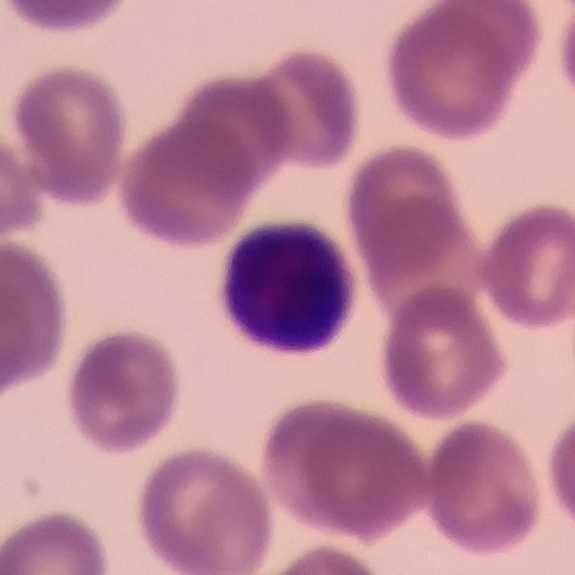
Peripheral blood smear.

Identified as a lymphocyte.